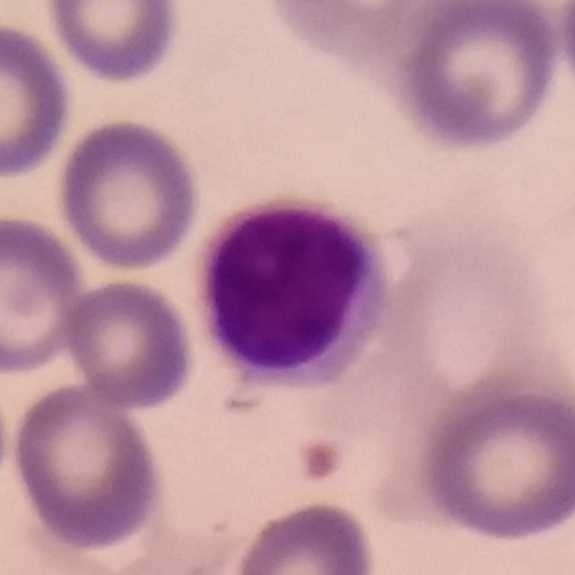

Specimen: peripheral blood smear.
Classification: lymphocyte.
Lineage: lymphoid. Imaged at 100×; photographed through a light microscope with a smartphone camera.